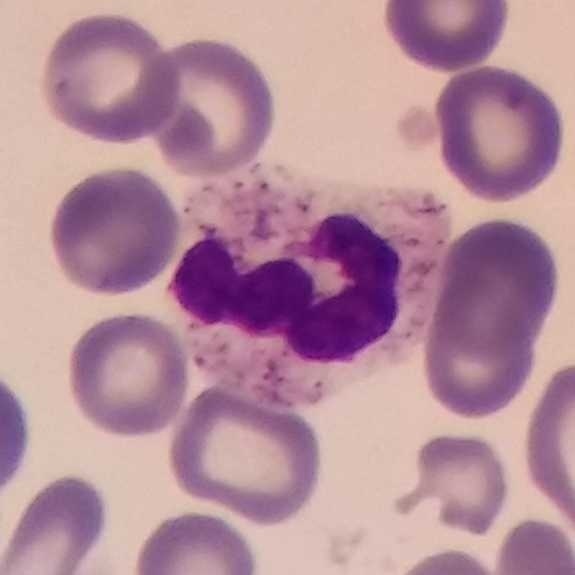Cell = neutrophil.